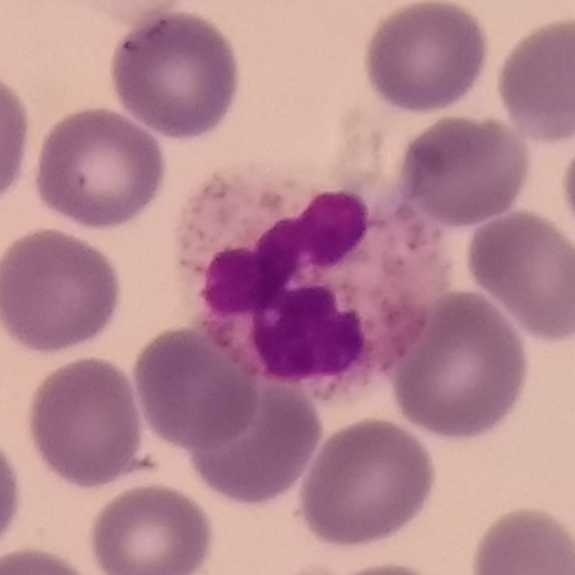 Acquisition: Giemsa-stained. Specimen: peripheral blood smear.
Cell: neutrophilic granulocyte.
Lineage: myeloid.